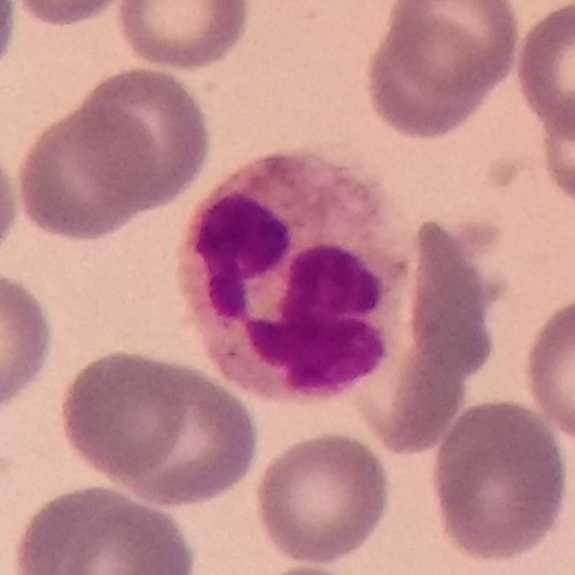

This is a neutrophil granulocyte.